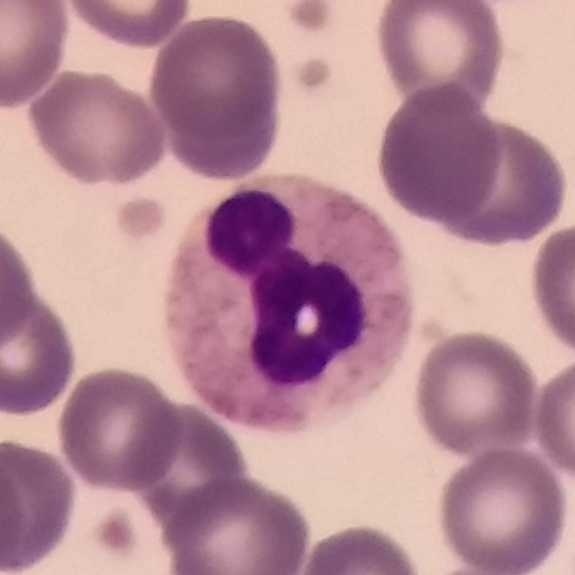 This is a neutrophilic granulocyte. Image: Peripheral blood film.